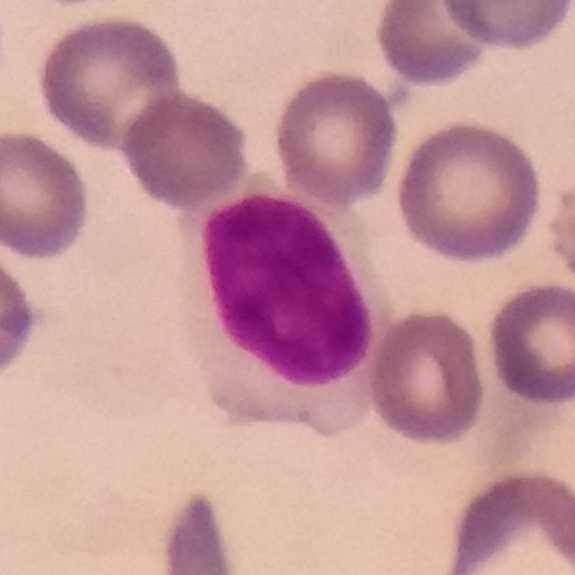 Stained with Giemsa; phone-camera image taken through the microscope ocular; peripheral blood film.
The cell shown is a lymphocyte.